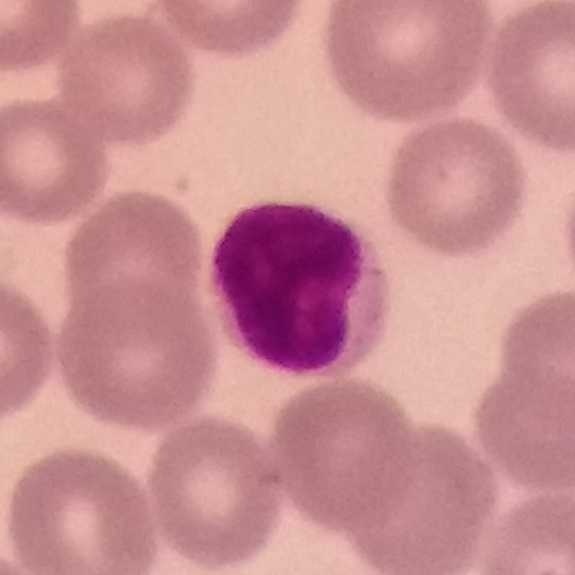
Peripheral blood smear showing a lymphocyte.